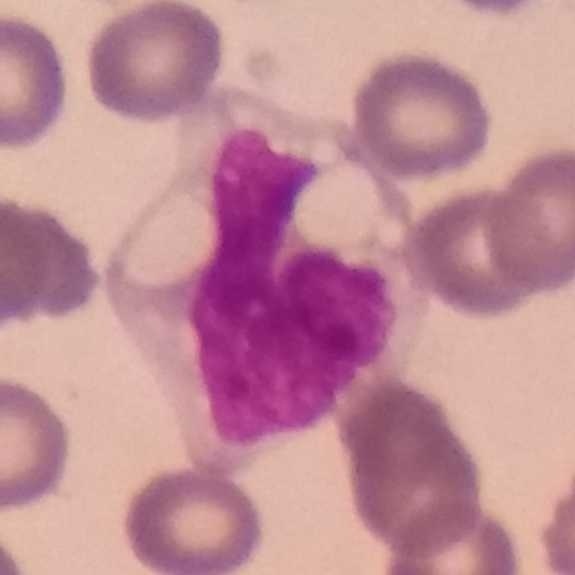
Context: Image size 575×575.

Specimen: peripheral blood film.
Cell type: monocyte.